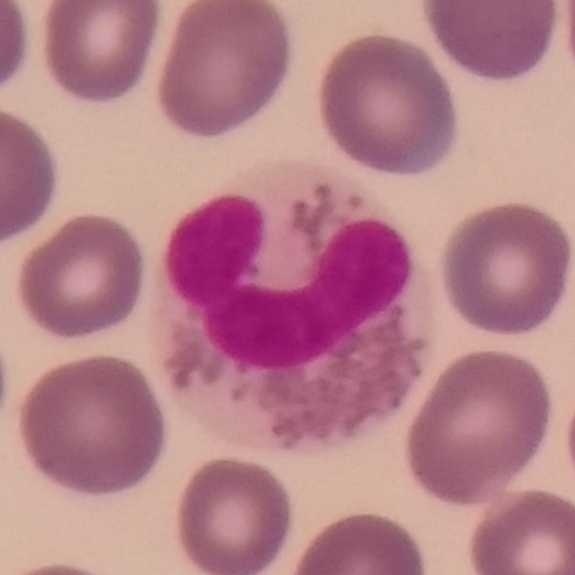Morphology consistent with an eosinophilic granulocyte.

Peripheral blood smear.